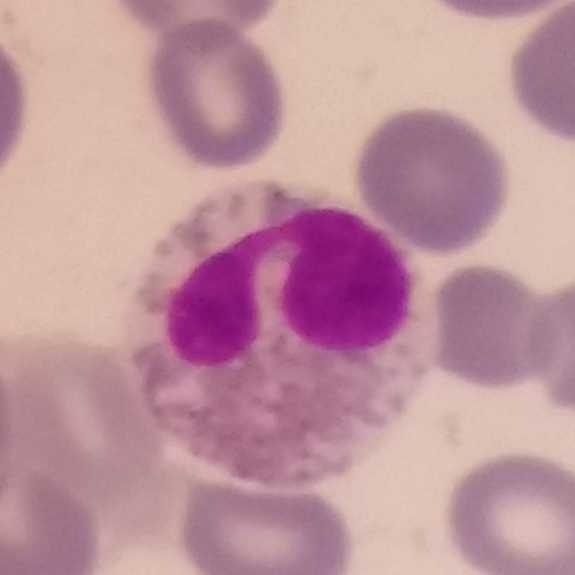

The white blood cell in this image is an eosinophil. Image: Peripheral blood film.